Peripheral blood smear:
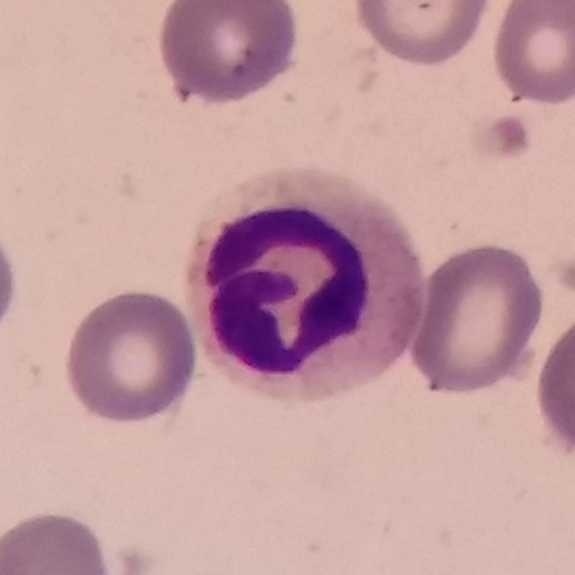

Specimen: peripheral blood film.
Classification: neutrophilic granulocyte.